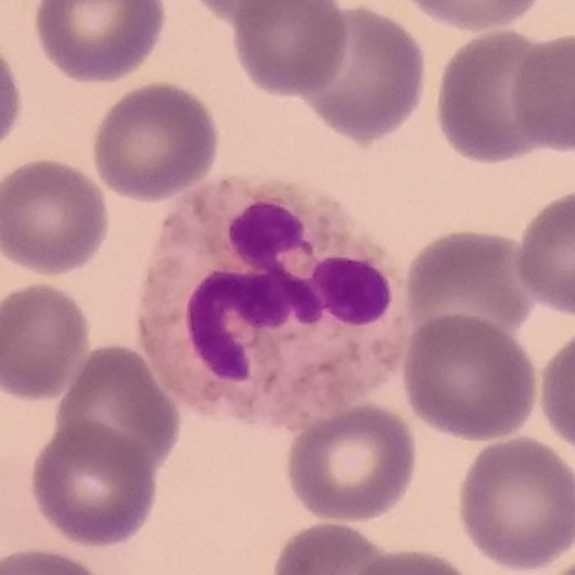Impression → neutrophil. Peripheral blood film. Image size 575×575.